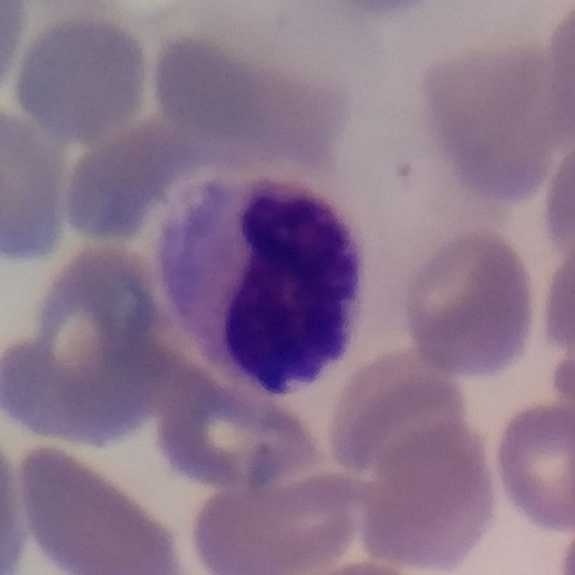 White blood cell type: lymphocyte.